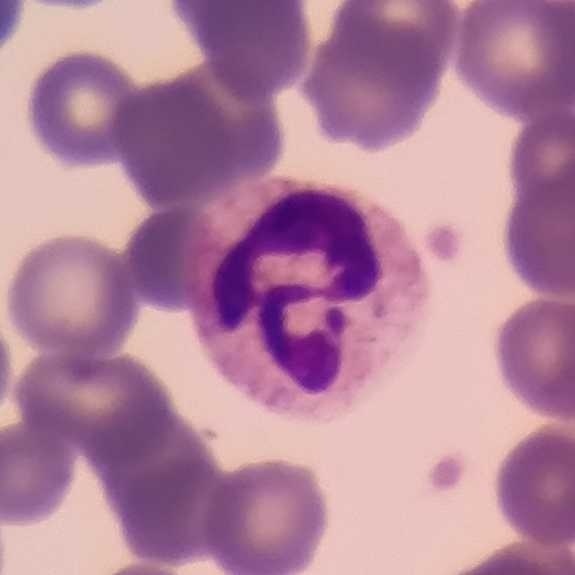

Peripheral blood film, single cell — neutrophil granulocyte.